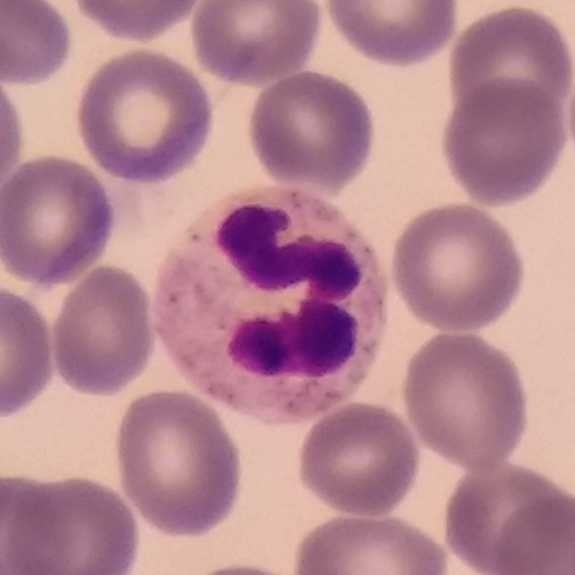
The classification is neutrophil granulocyte.